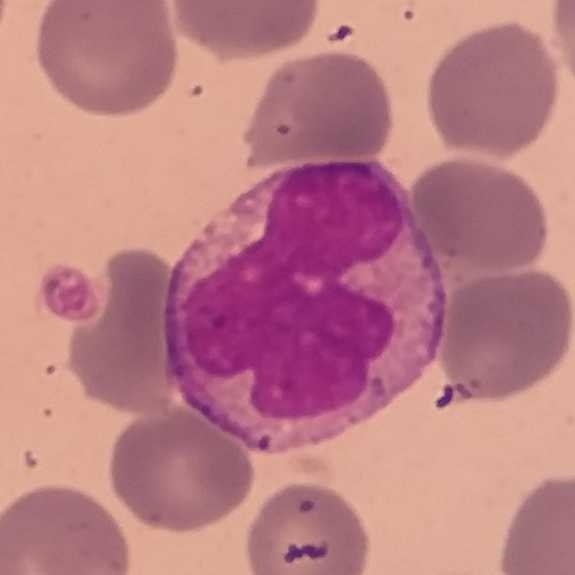

Peripheral blood film · Giemsa stain.
Q: What is the morphological classification of this cell?
A: Monocyte.